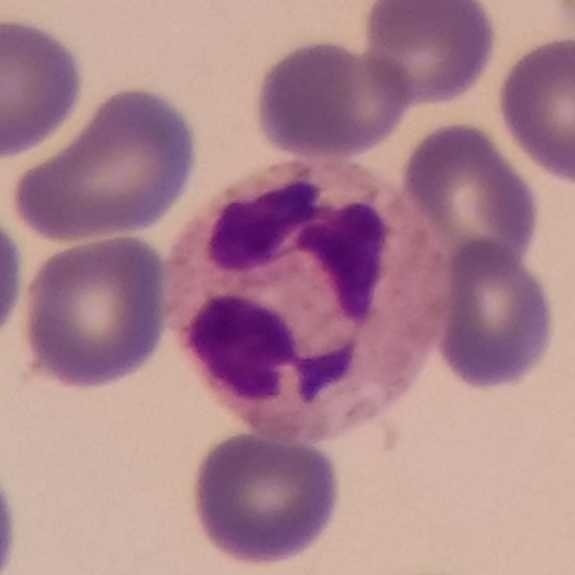

Acquisition: Peripheral blood smear. {"cell_type": "neutrophil", "lineage": "myeloid"}